Peripheral blood film; 575×575 px — 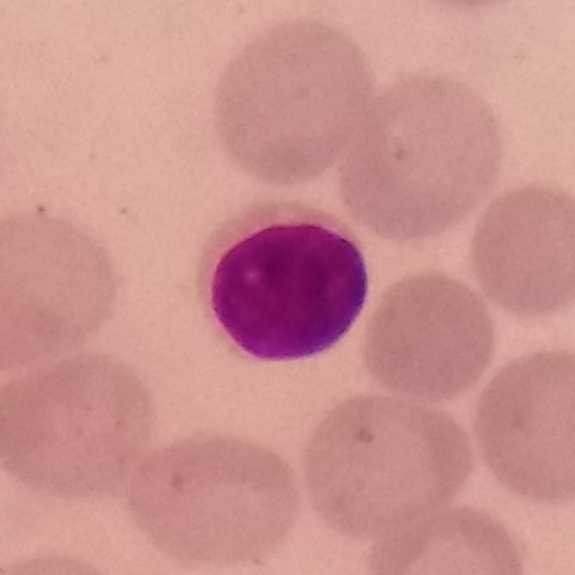

Specimen: peripheral blood film.
Morphological class: lymphocyte.
Lineage: lymphoid.